Peripheral blood film · image size 575×575 · cropped to one leukocyte:
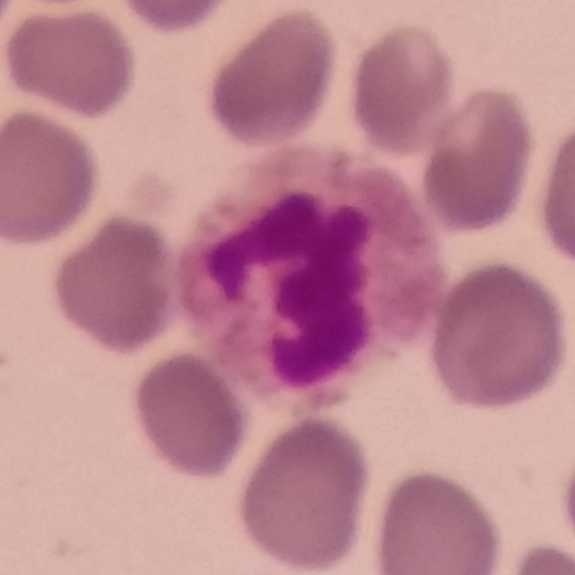The cell is neutrophilic granulocyte.